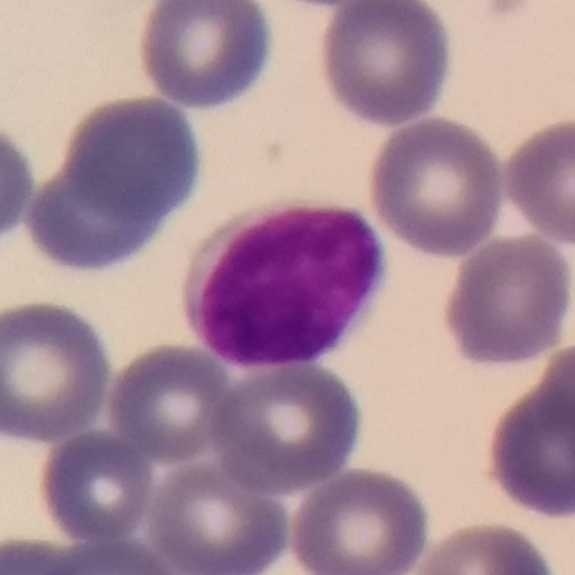

Lymphocyte.
Image: Peripheral blood film; photographed through a light microscope with a smartphone camera.